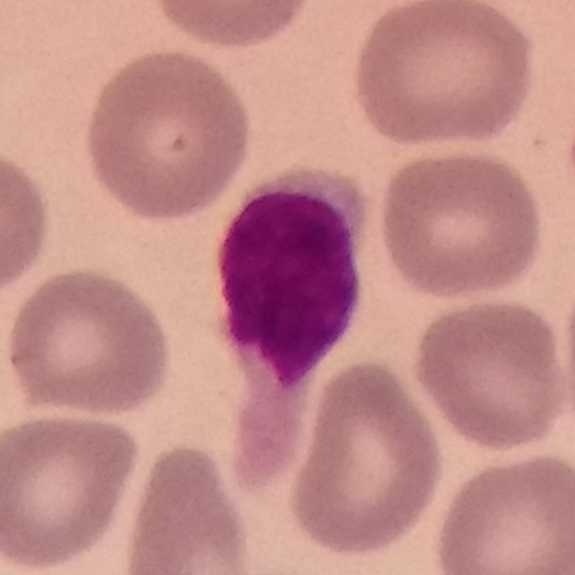

Single cell identified as a lymphocyte.

Peripheral blood film · imaged at 100×.